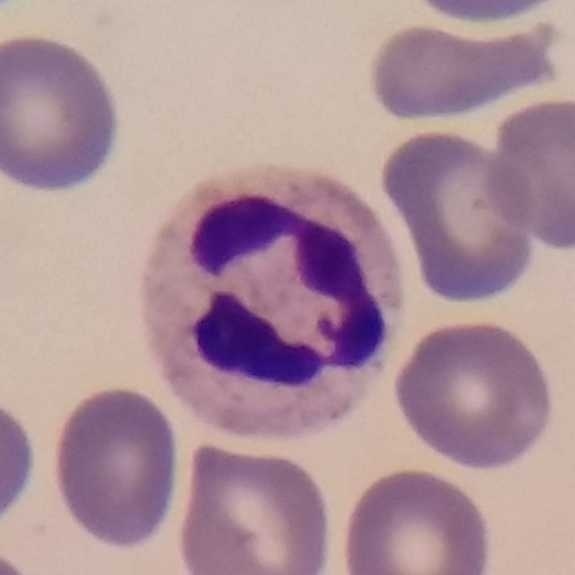
Morphology — neutrophil.